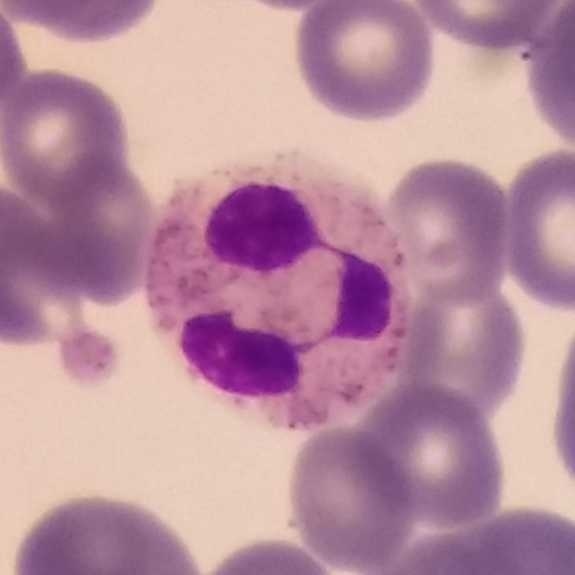 Preparation: Peripheral blood smear.

Identified as a neutrophil.